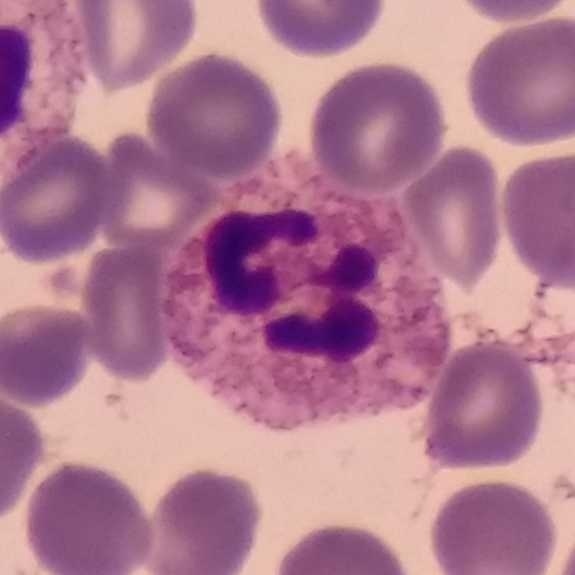
The white blood cell type is neutrophil granulocyte.